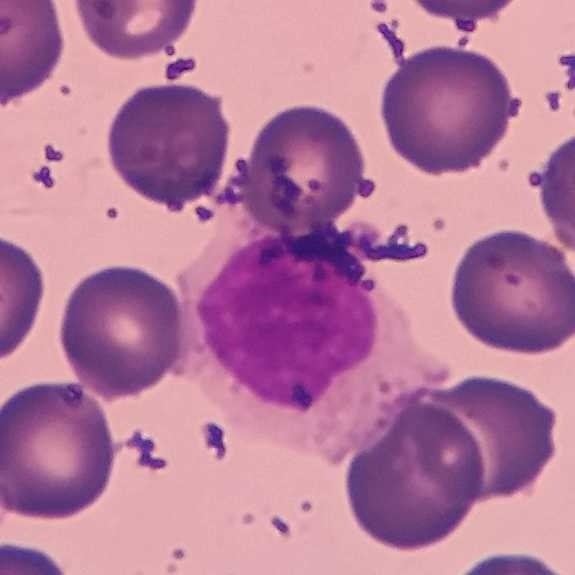
Stained with Giemsa. Peripheral blood smear. Morphology consistent with a monocyte.